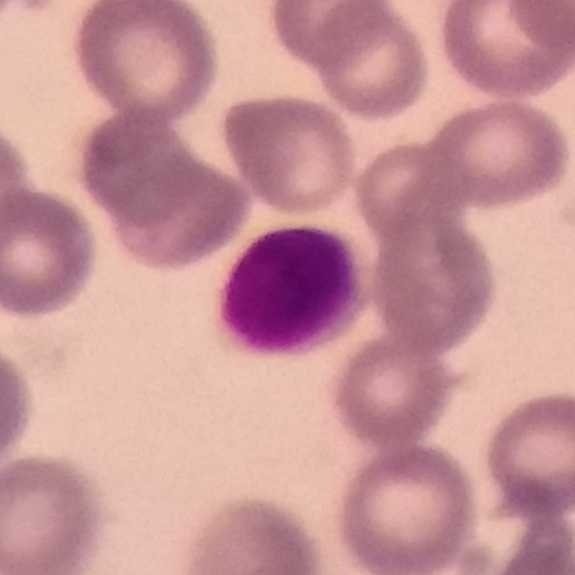
The classification is lymphocyte.